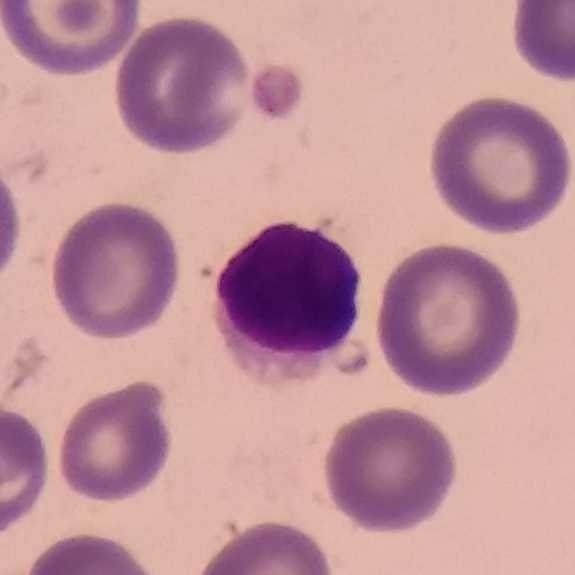Preparation: Smartphone camera mounted on the microscope eyepiece; peripheral blood smear. Q: What type of cell is this?
A: This is a lymphocyte.